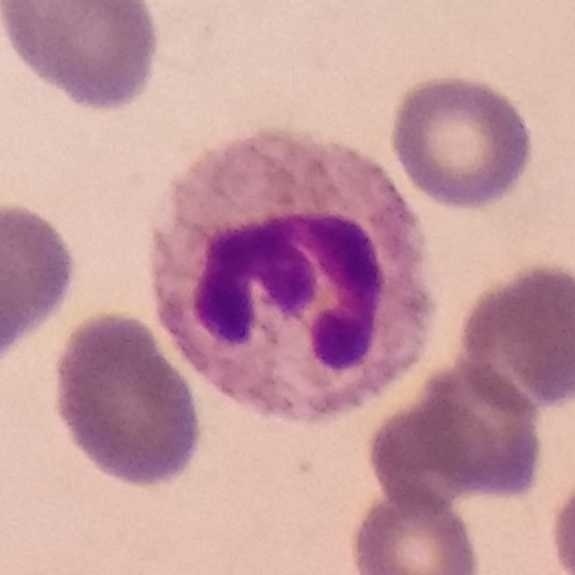
Preparation: Phone-camera image taken through the microscope ocular.
Specimen: peripheral blood film.
Cell: neutrophilic granulocyte.